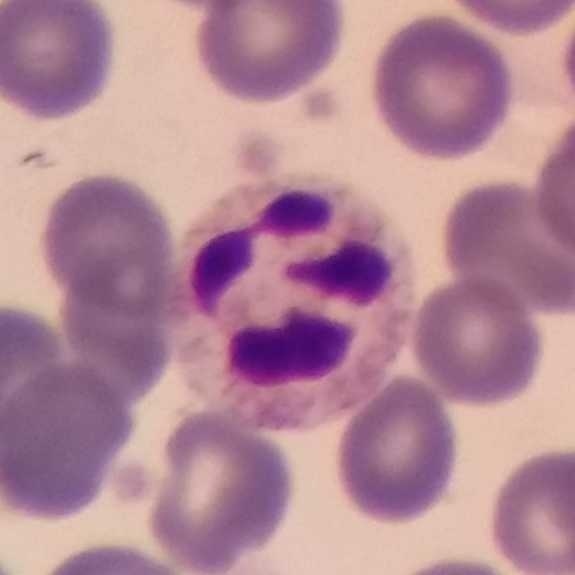 Peripheral blood smear; Giemsa-stained; photographed through a light microscope with a smartphone camera. This is a neutrophil.